Peripheral blood smear; 575 by 575 pixels: 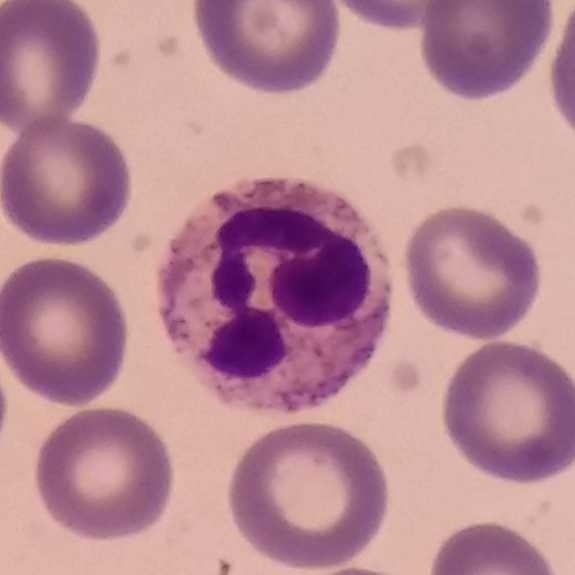

Classification — neutrophilic granulocyte.